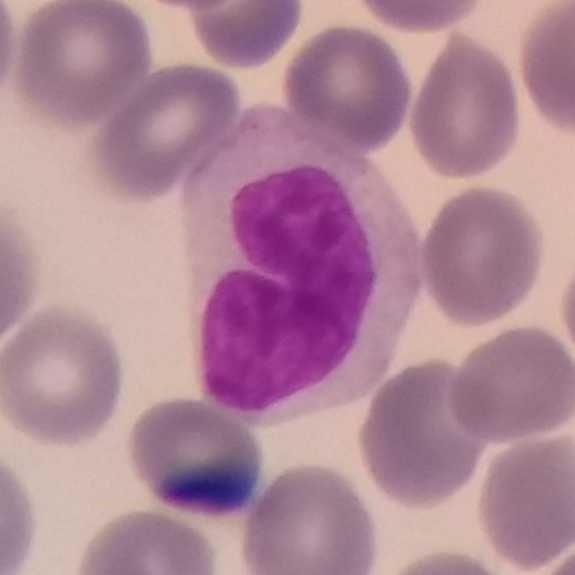

Peripheral blood smear showing a monocyte.